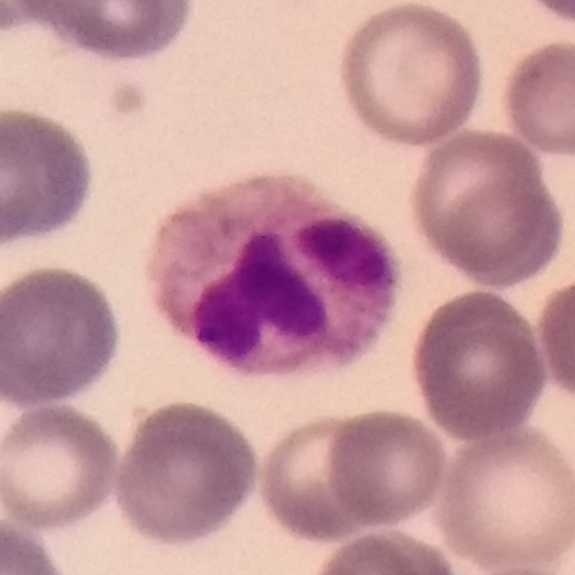 Image: Peripheral blood smear; Giemsa-stained; 575×575 px. Identified as a neutrophil granulocyte.